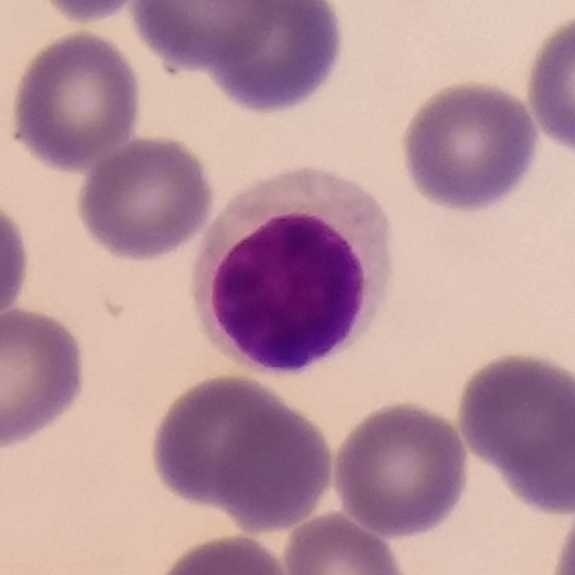

Morphology consistent with a lymphocyte.